Stained with Giemsa; photographed through a light microscope with a smartphone camera; peripheral blood film
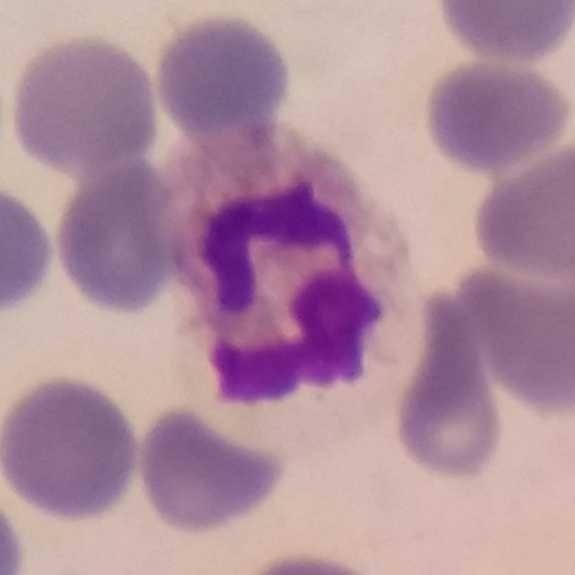White blood cell type — neutrophil granulocyte.